Smartphone photomicrograph; peripheral blood smear
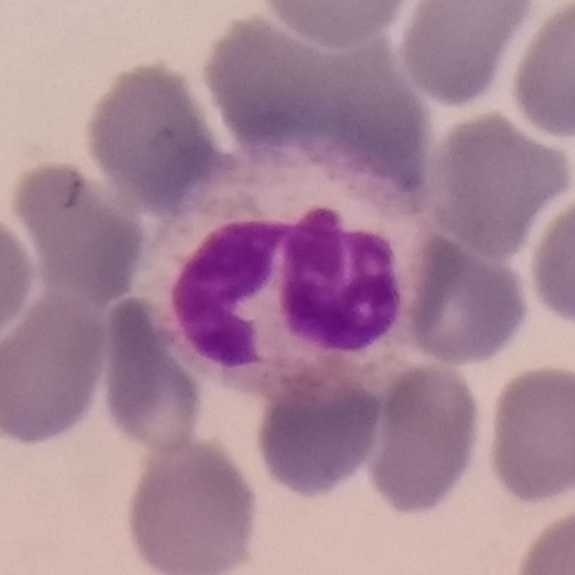

Neutrophil.